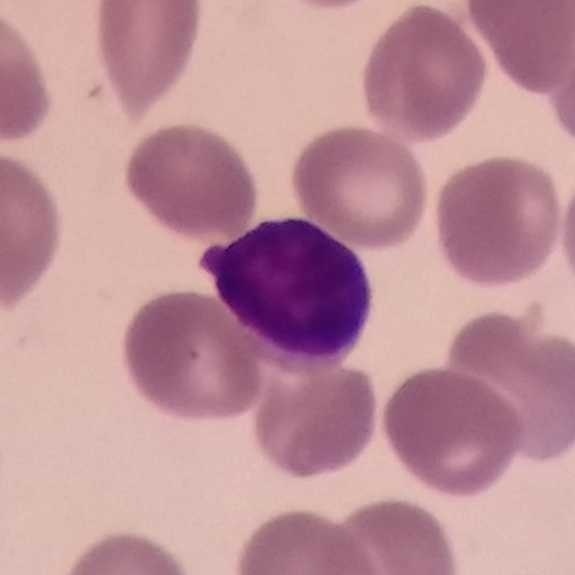
Cropped to one leukocyte. Photographed through a light microscope with a smartphone camera. Peripheral blood film.
Cell type: lymphocyte.